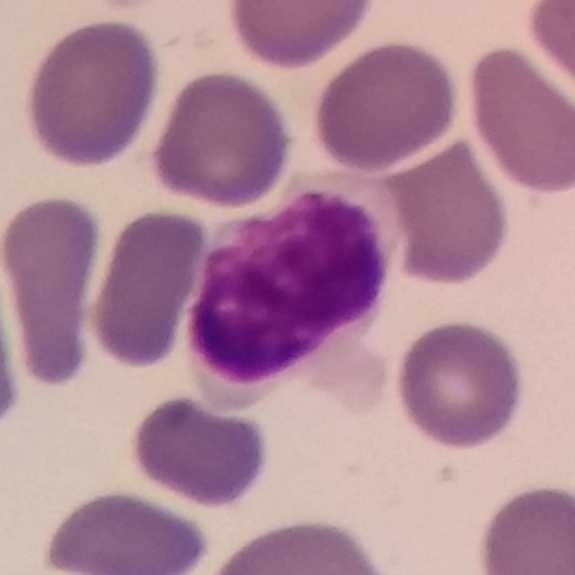

White blood cell type — lymphocyte.